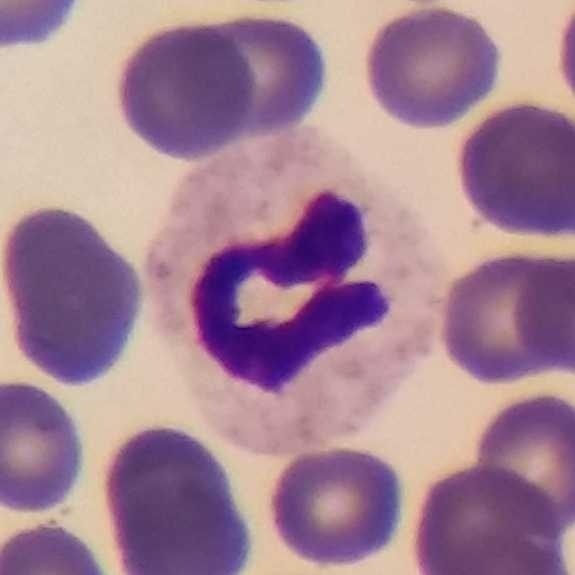Preparation: Peripheral blood smear.

Q: What is shown here?
A: This is a neutrophil granulocyte.